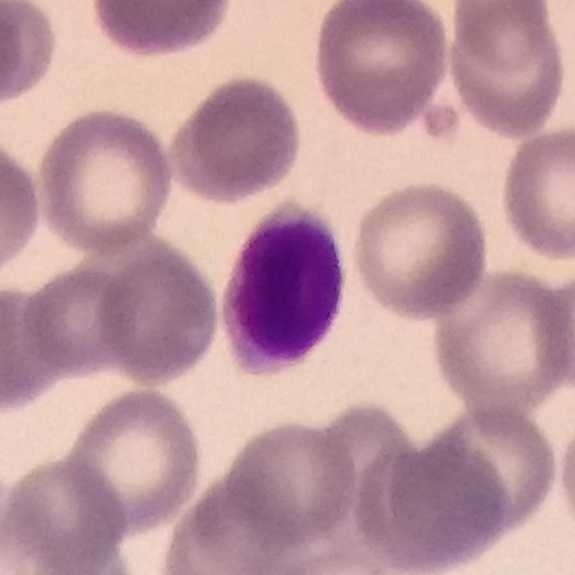 Morphology → lymphocyte.